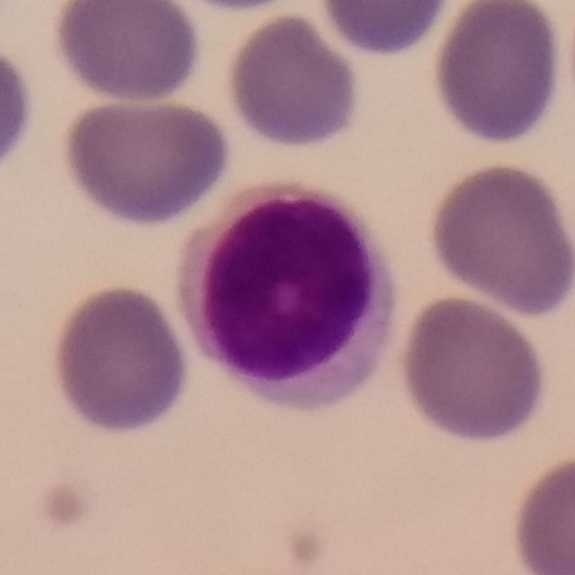

White blood cell from a peripheral blood smear: lymphocyte.